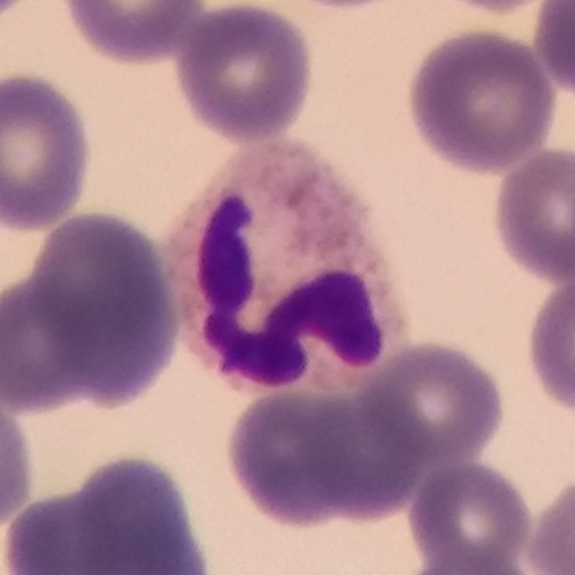{"cell_type": "neutrophilic granulocyte", "lineage": "myeloid"}
Preparation: Peripheral blood film; smartphone camera mounted on the microscope eyepiece.